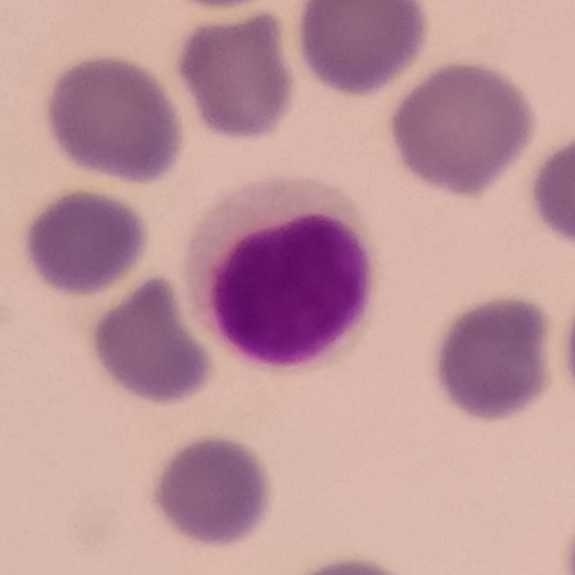 Magnification 100×. Peripheral blood film.

Showing a lymphocyte.